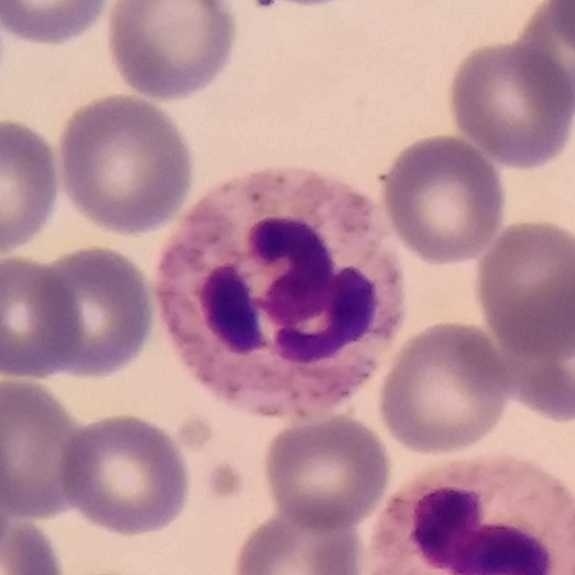
Single-cell field · magnification 100×.
Specimen: peripheral blood film.
White blood cell type: neutrophil.